Peripheral blood smear · single-cell field.
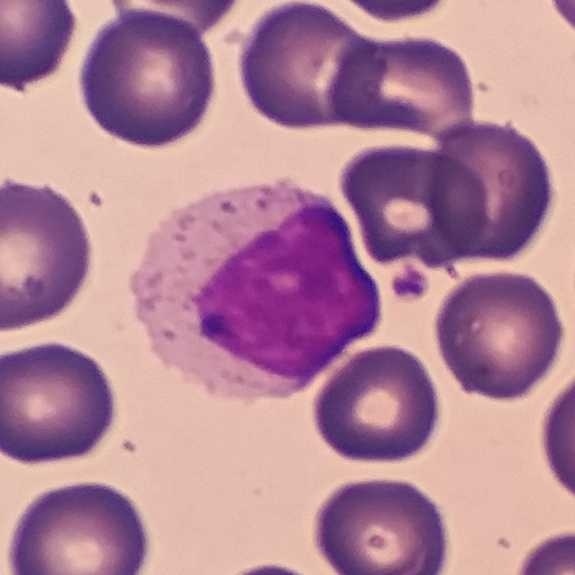Cell: lymphocyte.